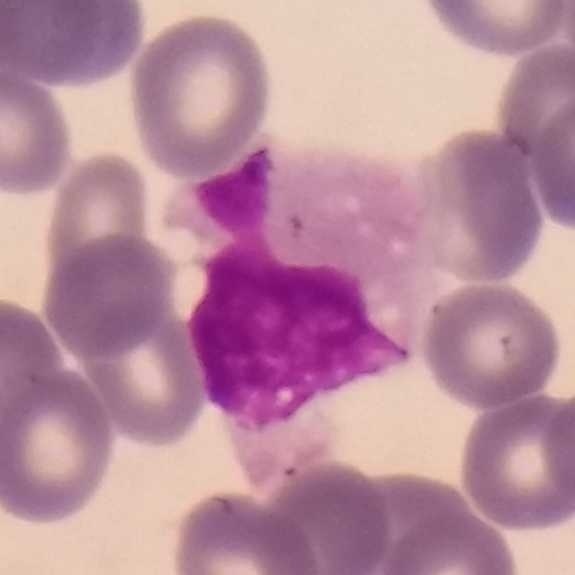

Q: What is shown here?
A: A monocyte.
Image: 575 by 575 pixels. Peripheral blood film. Imaged at 100×.